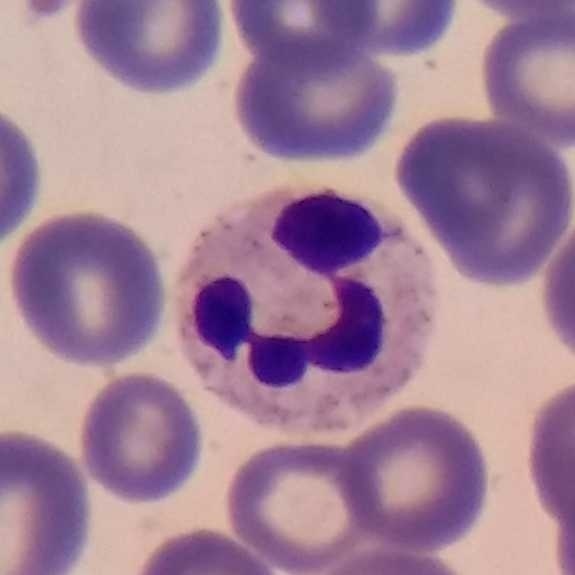

Q: What is shown here?
A: Neutrophil. Peripheral blood film.